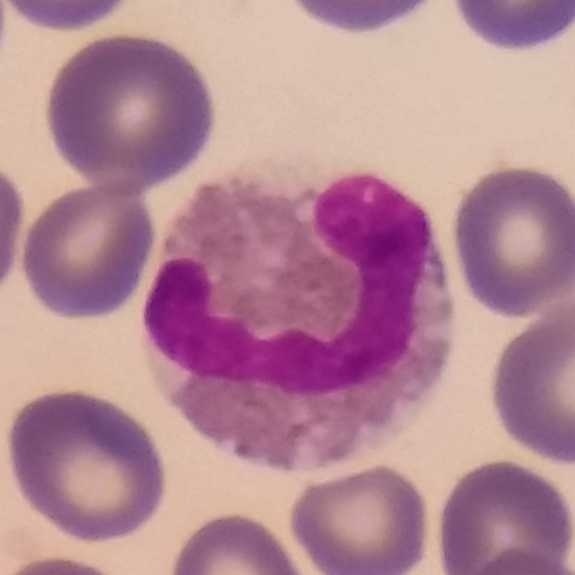Acquisition: Giemsa-stained; peripheral blood smear.

Morphology — eosinophil.